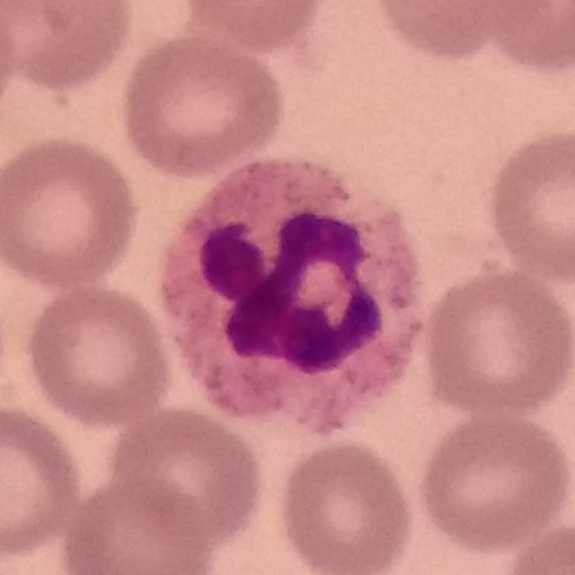 Peripheral blood film · 575×575 px · single white blood cell cropped from the smear photograph.

White blood cell type = neutrophilic granulocyte.